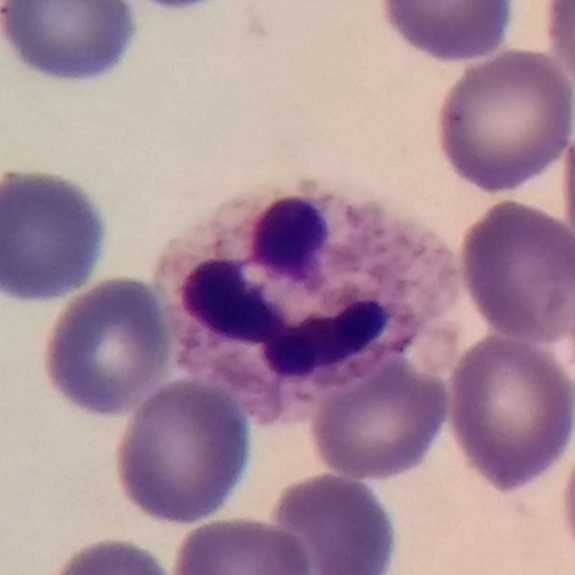White blood cell type — neutrophil.

Acquisition: Magnification 100× · peripheral blood film.